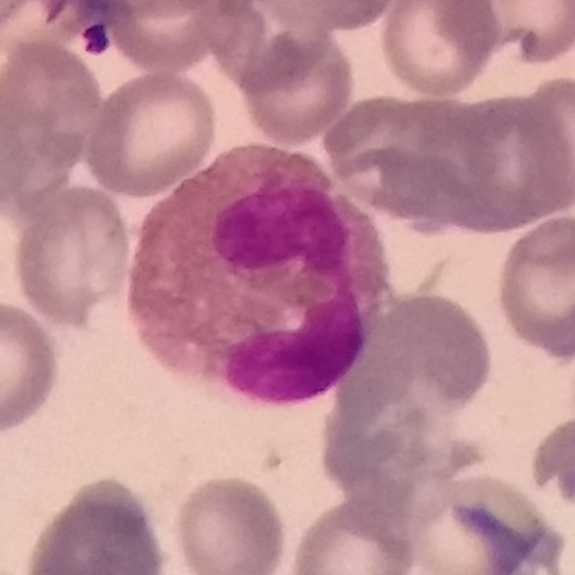

This is an eosinophilic granulocyte.